Peripheral blood film: 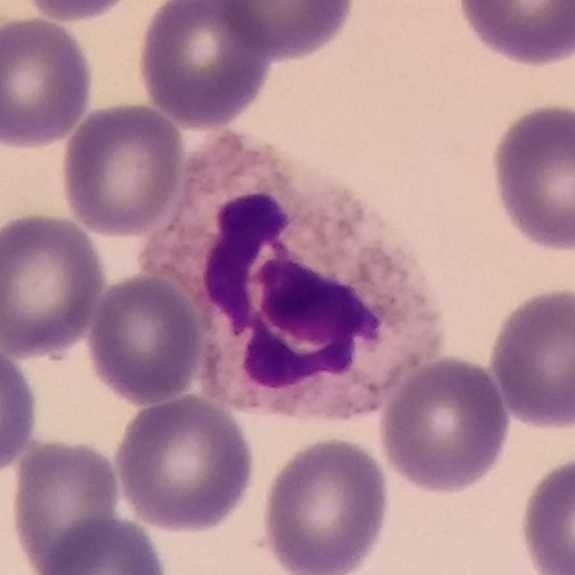 A neutrophil.